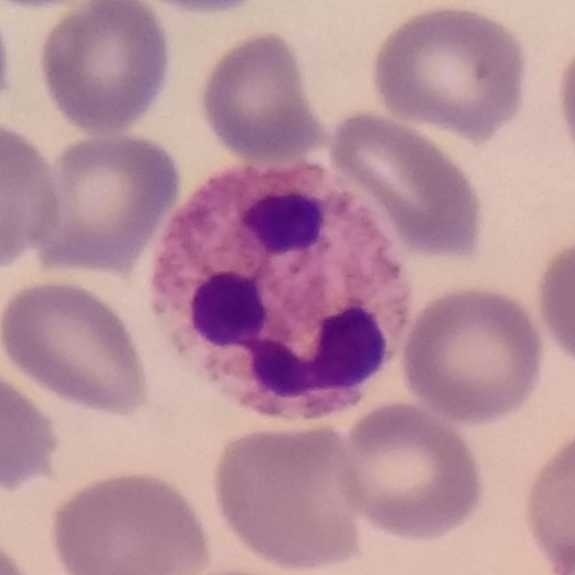
Showing a neutrophil.